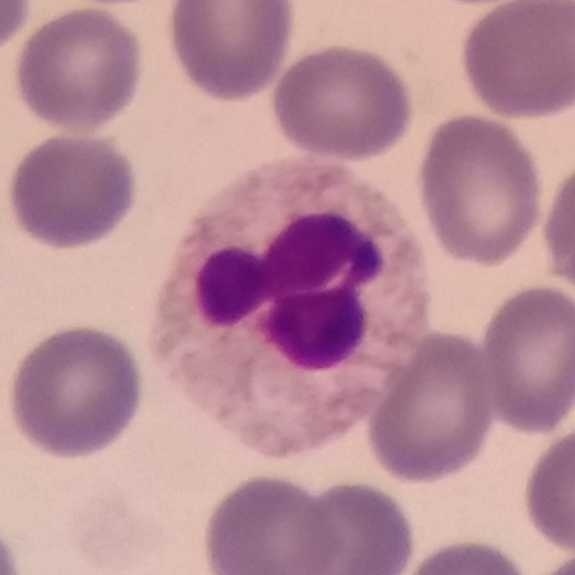
Cell: neutrophil.
Acquisition: Peripheral blood smear. Photographed through a light microscope with a smartphone camera.